Peripheral blood film.
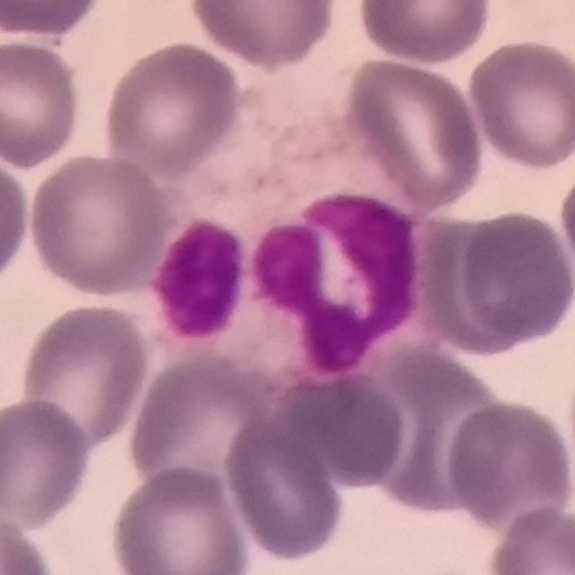

Morphology → neutrophil granulocyte.